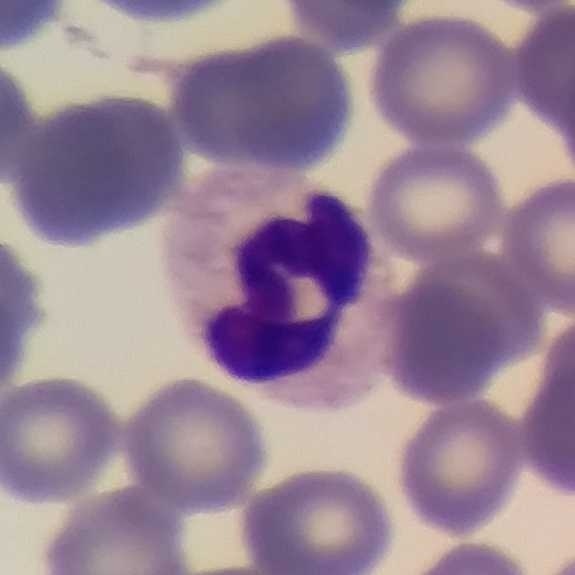

Neutrophil granulocyte.
Peripheral blood film.